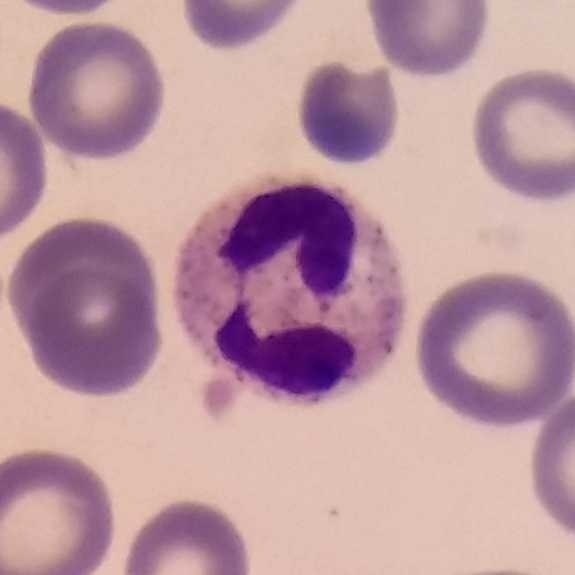

Identified as a neutrophilic granulocyte.
Preparation: Cropped to one leukocyte · peripheral blood smear.